Peripheral blood smear — 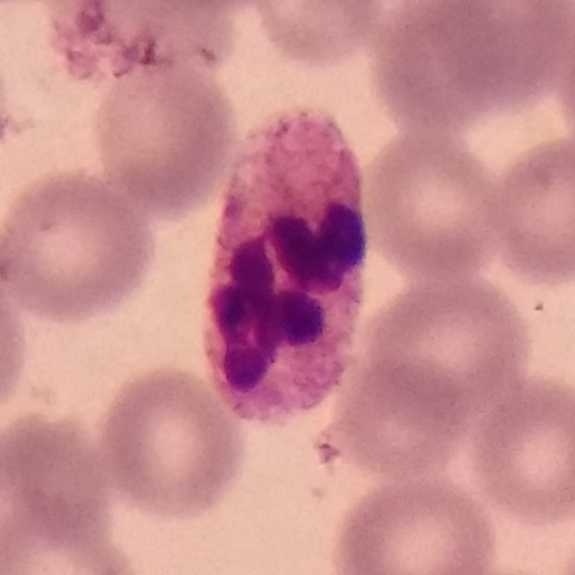 Specimen: peripheral blood film.
Cell: neutrophilic granulocyte.
Lineage: myeloid.